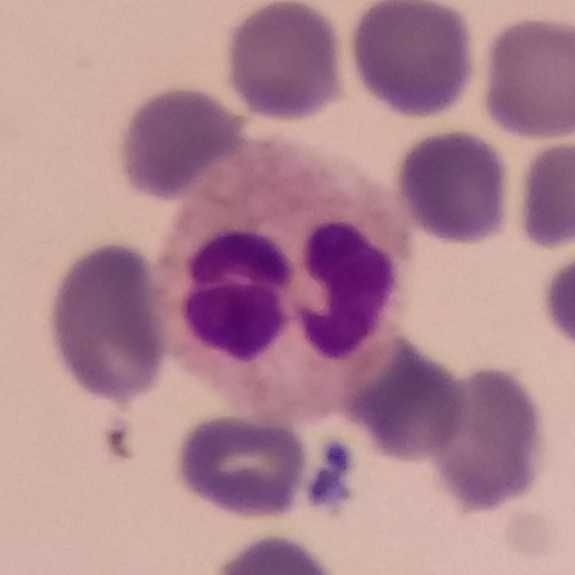
Acquisition: Stained with Giemsa · smartphone camera mounted on the microscope eyepiece · peripheral blood film.
The cell shown is a neutrophil granulocyte.